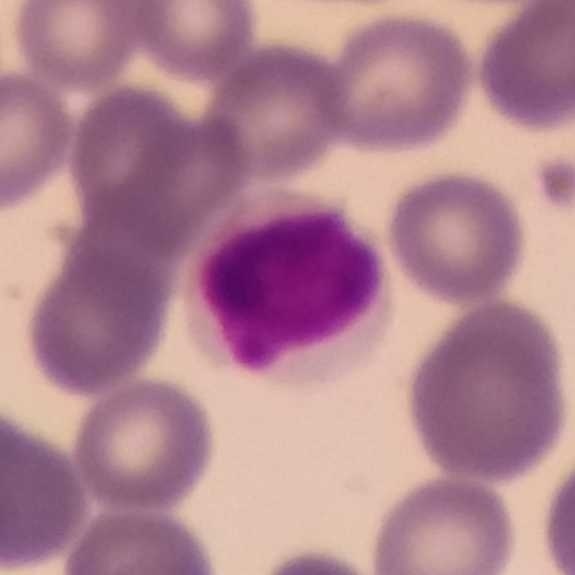
Context: 575 by 575 pixels; Giemsa-stained; peripheral blood smear.
Q: Which type of white blood cell is this?
A: Lymphocyte.